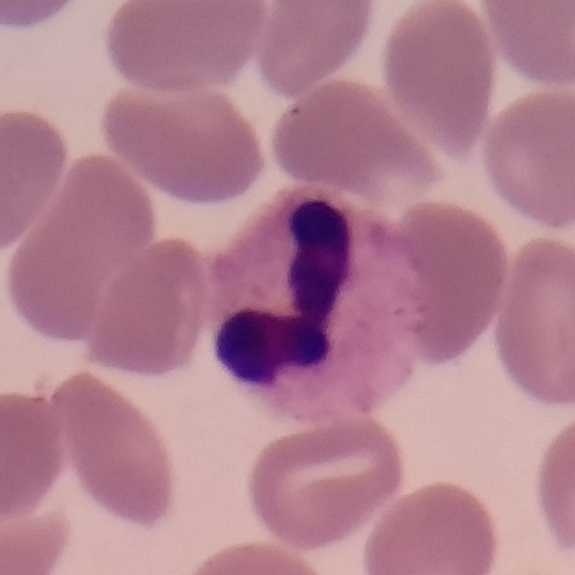

Neutrophilic granulocyte.
Peripheral blood smear.